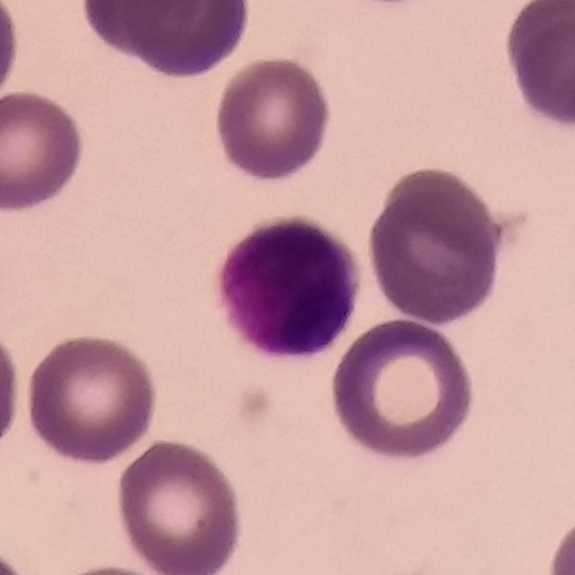The cell is lymphocyte.